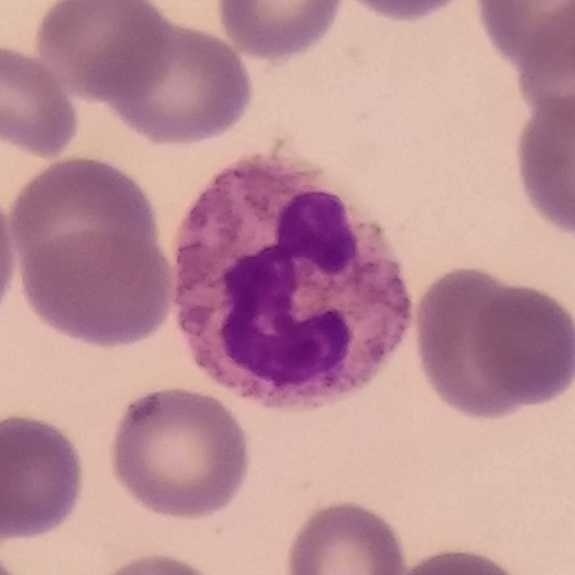Acquisition: Peripheral blood smear. This is a neutrophil granulocyte.